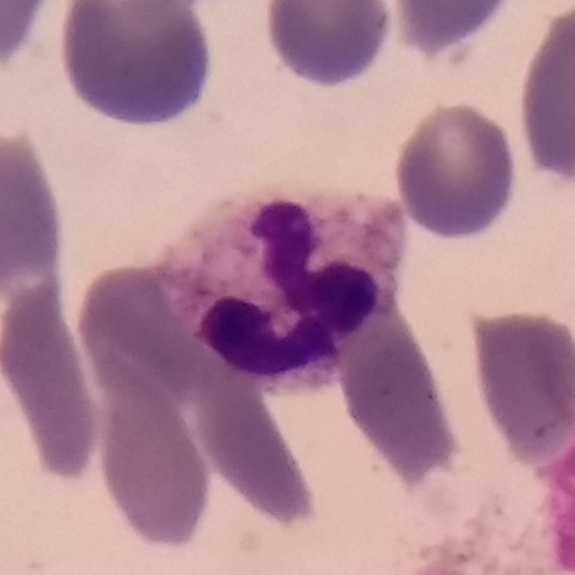 Preparation: Peripheral blood film.

The white blood cell in this image is a neutrophilic granulocyte.